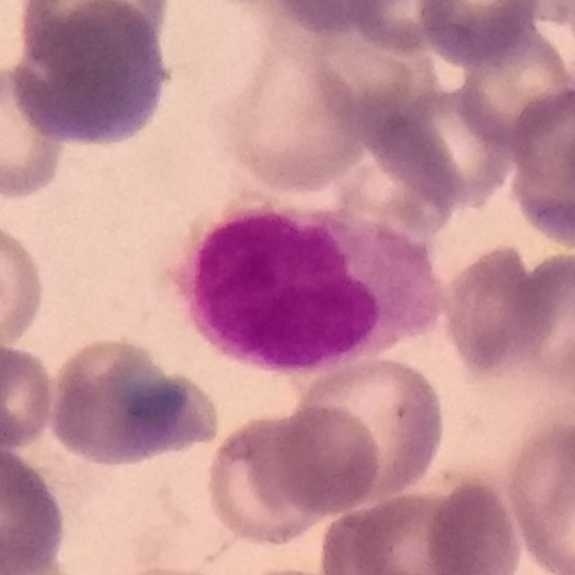 Peripheral blood smear.
The white blood cell in this image is a lymphocyte.